575×575; peripheral blood film.
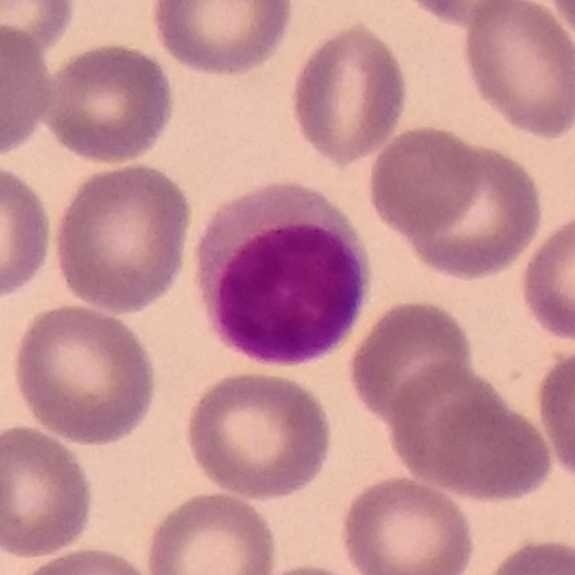Cell type: lymphocyte.